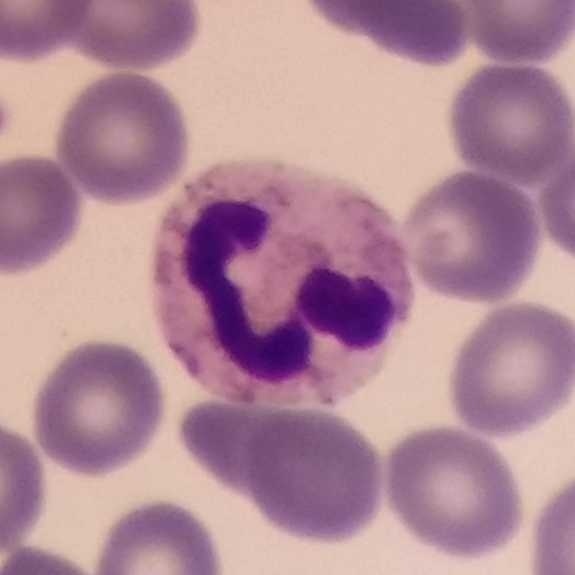
Impression → neutrophilic granulocyte.